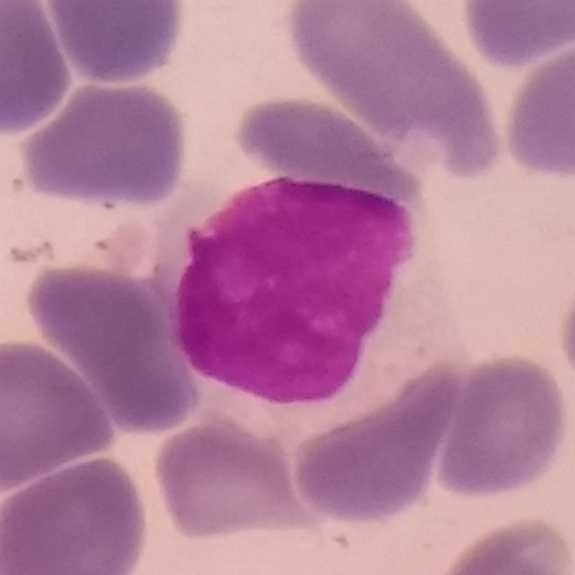
Image: Peripheral blood smear; smartphone camera mounted on the microscope eyepiece.

Morphology consistent with a monocyte.